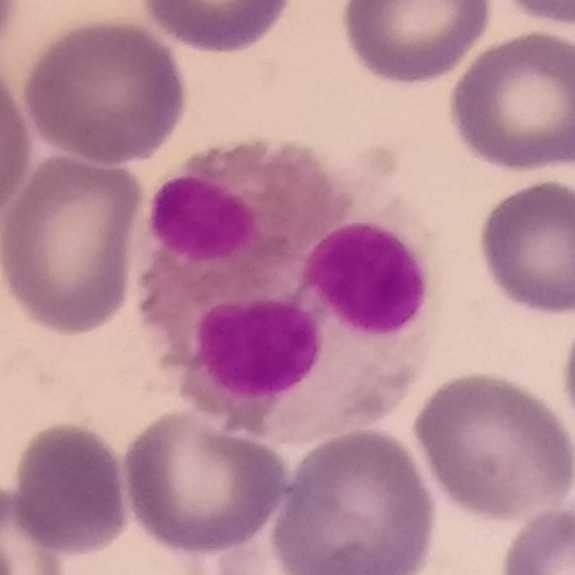Preparation: Cropped to one leukocyte. Peripheral blood smear. 100× magnification.

Q: What is this?
A: This is an eosinophil.